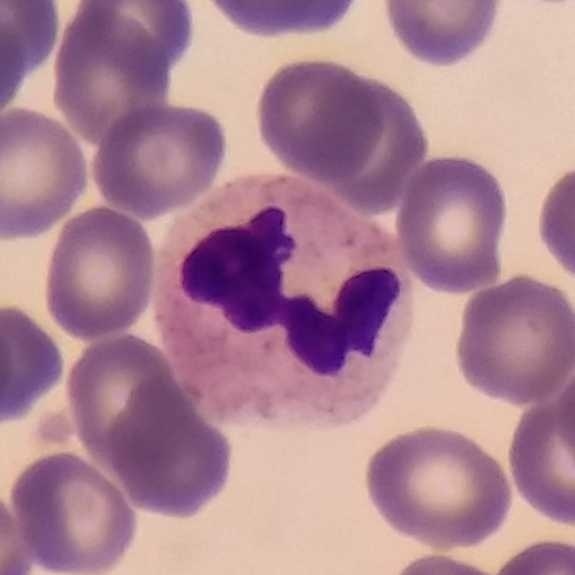

Preparation: Peripheral blood smear.
White blood cell type: neutrophil granulocyte.